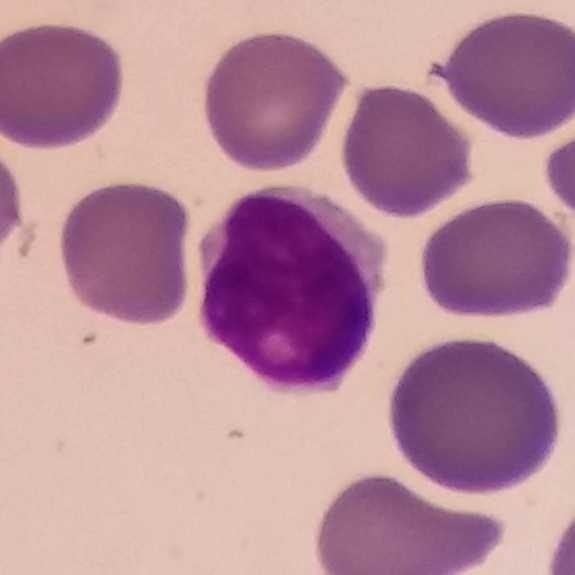Acquisition: 100× magnification; peripheral blood film.
Cell: lymphocyte.